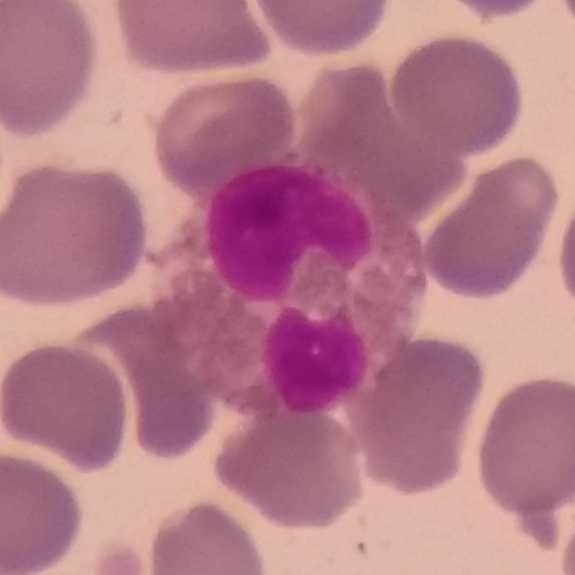 Morphology — eosinophilic granulocyte.